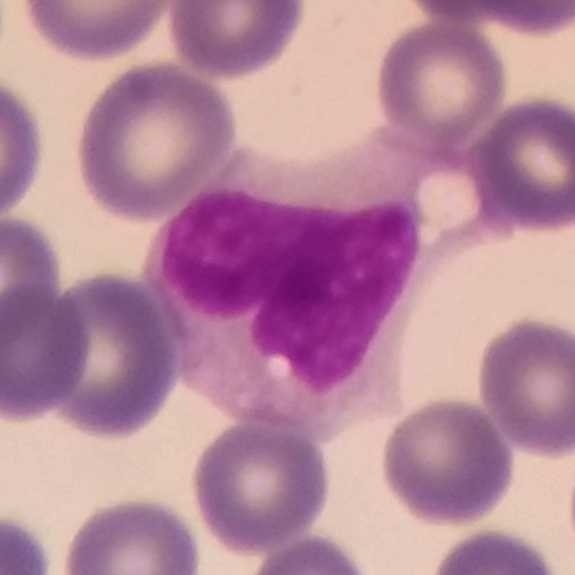

Identified as a monocyte.
Peripheral blood film.